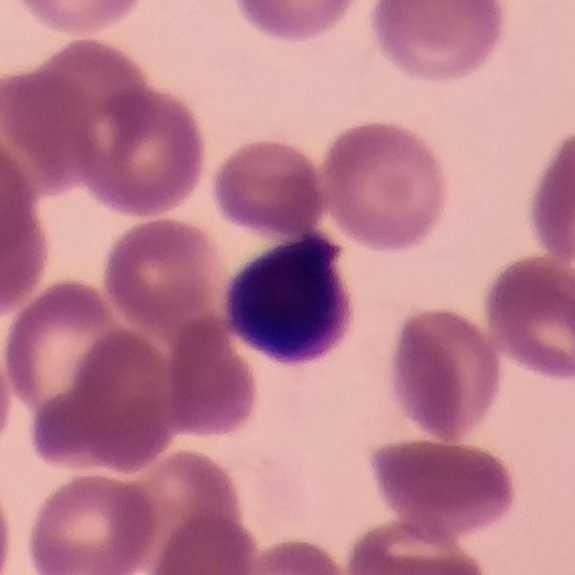Image: Peripheral blood smear. White blood cell type — lymphocyte.